Peripheral blood smear; imaged at 100×: 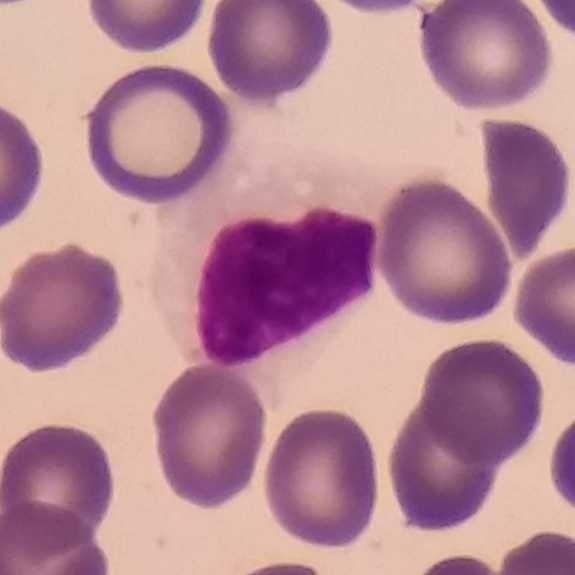
Impression → lymphocyte.